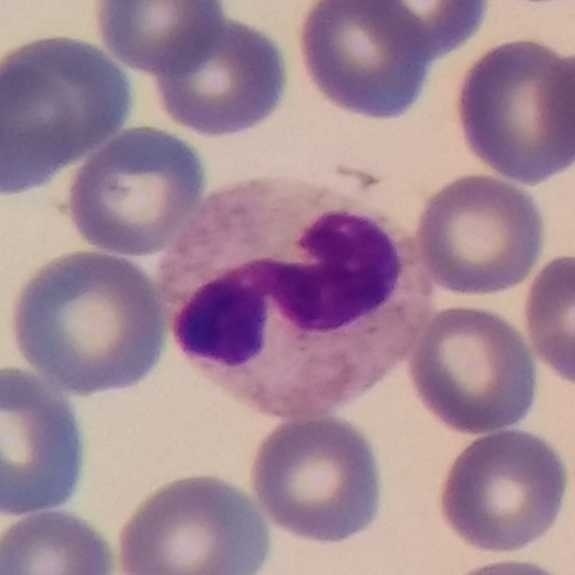

Image: Single-cell crop · peripheral blood smear · image size 575×575. Q: Which type of white blood cell is this?
A: This is a neutrophilic granulocyte.